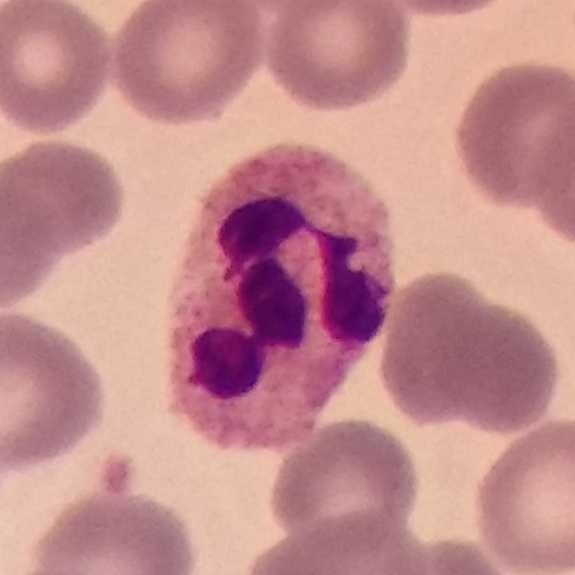
Morphology → neutrophil.

Preparation: 100× magnification. Image size 575×575. Peripheral blood film.